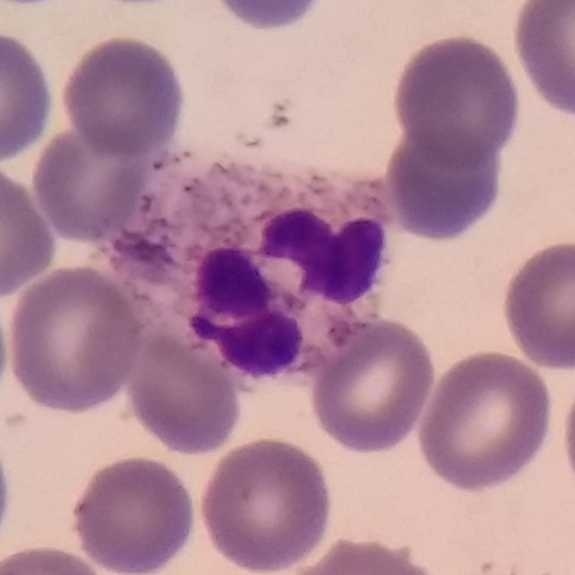 Peripheral blood smear; imaged at 100×.
Impression → neutrophil.